Peripheral blood film: 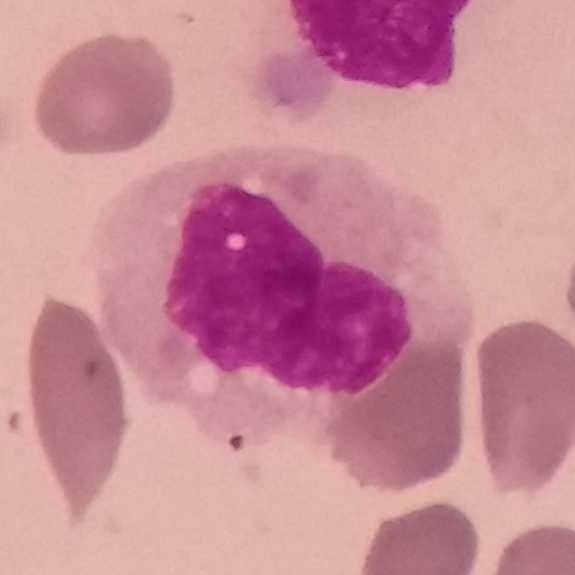Monocyte.